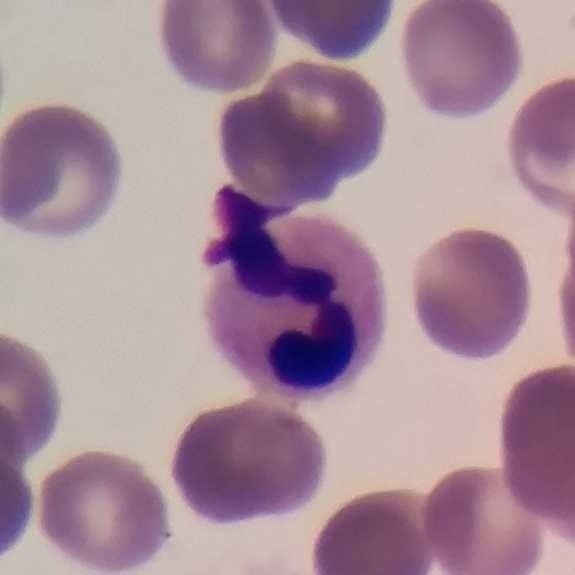
Specimen: peripheral blood smear.
Classification: neutrophil.